Peripheral blood film. Stained with Giemsa.
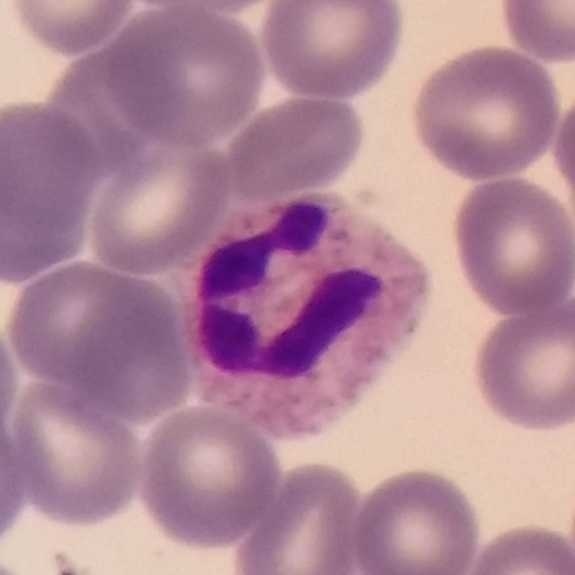Morphology consistent with a neutrophilic granulocyte.